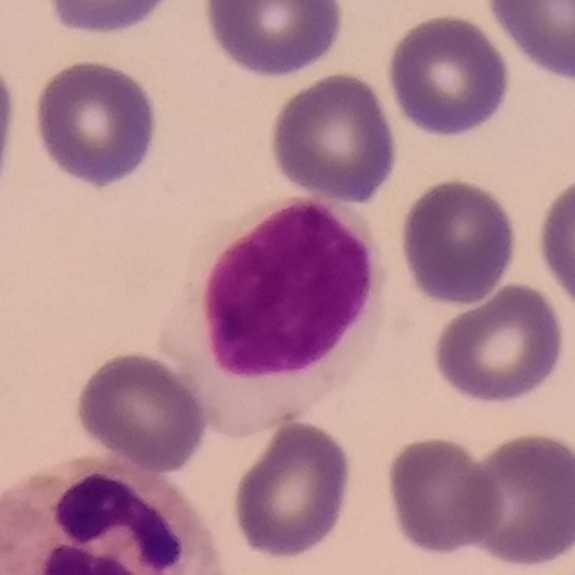
Morphological class: lymphocyte.
Peripheral blood smear.